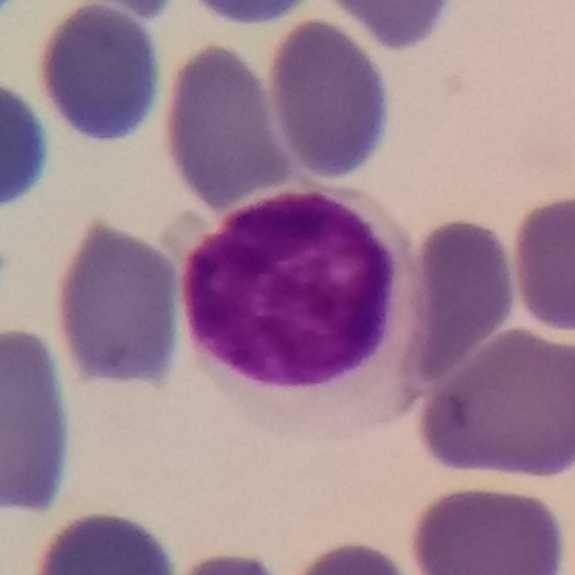
Peripheral blood smear; stained with Giemsa.
Q: What type of cell is this?
A: It is a lymphocyte.